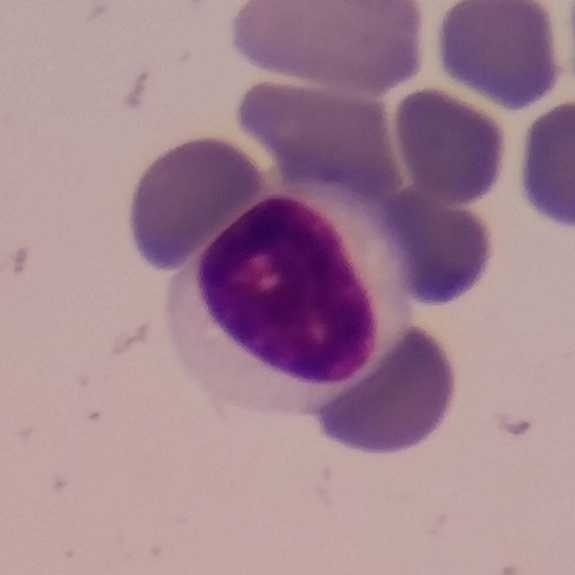Single white blood cell cropped from the smear photograph · peripheral blood film. Identified as a lymphocyte.